Peripheral blood film · 100× magnification · single-cell crop — 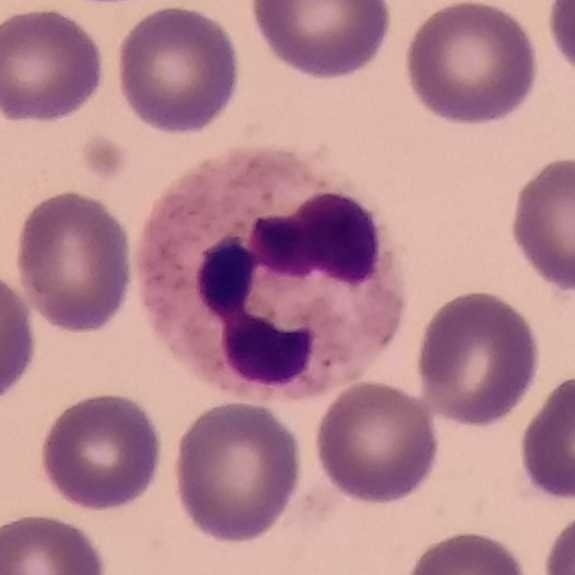

Identified as a neutrophilic granulocyte.